Peripheral blood film. Smartphone camera mounted on the microscope eyepiece. Giemsa-stained: 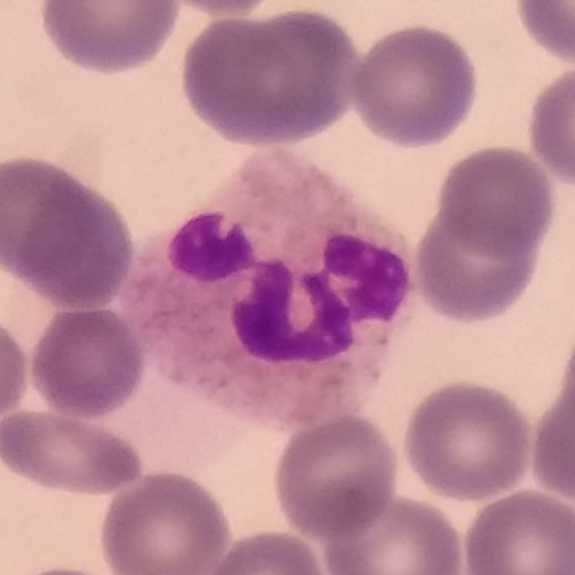
A neutrophil.